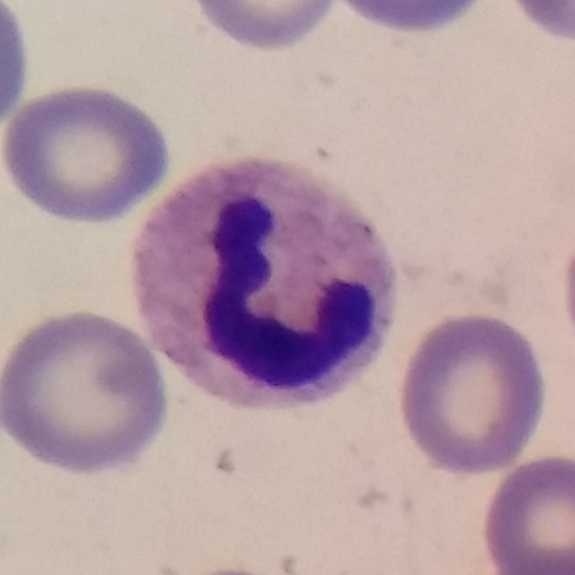

Specimen: peripheral blood film.
Cell: neutrophil.
Lineage: myeloid. 100× magnification. Giemsa-stained.